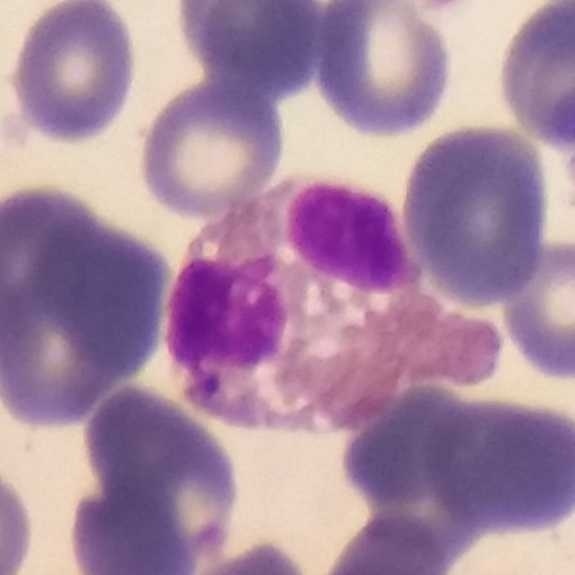 Q: Classify this leukocyte.
A: An eosinophil. Acquisition: Peripheral blood film.